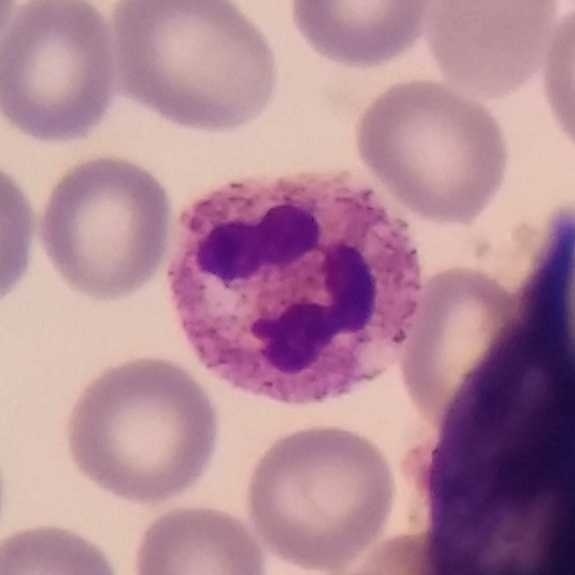Morphological class — neutrophil granulocyte.